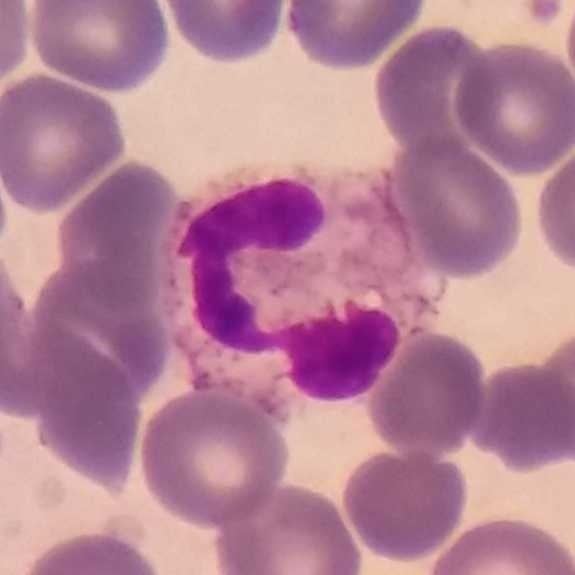 Cell type: neutrophil.